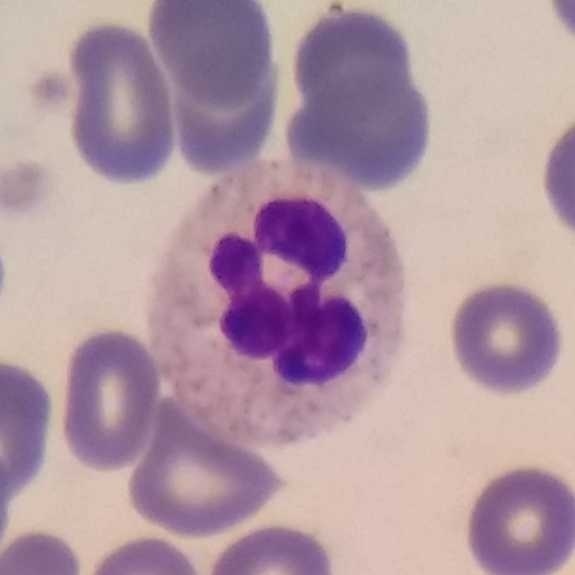Q: Identify the cell.
A: A neutrophil granulocyte.

Peripheral blood film · 575×575 px.